Peripheral blood smear — 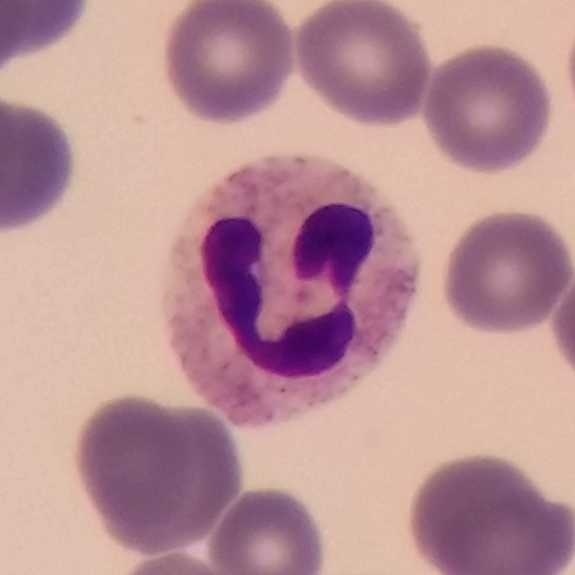

Cell type: neutrophilic granulocyte.